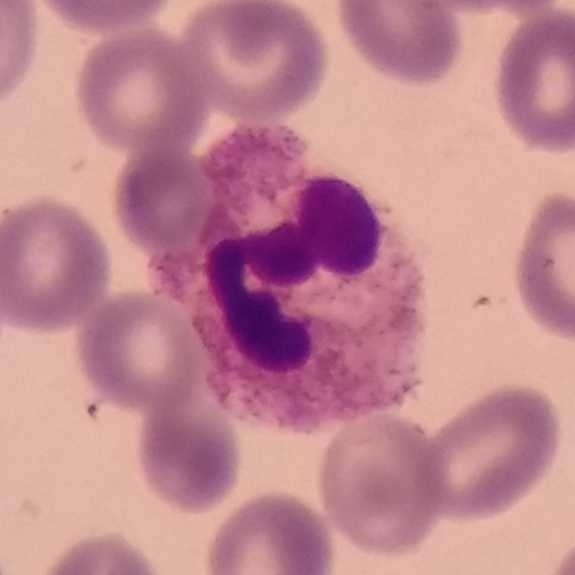

Specimen: peripheral blood smear.
Cell type: neutrophil granulocyte.
Lineage: myeloid.